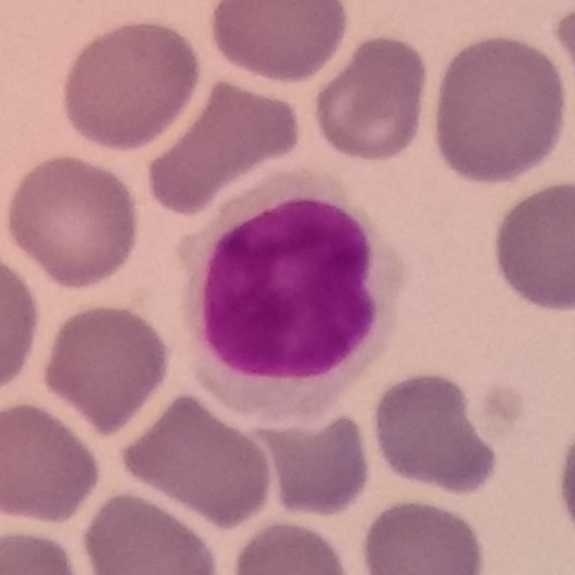This is a lymphocyte. Acquisition: Peripheral blood smear.